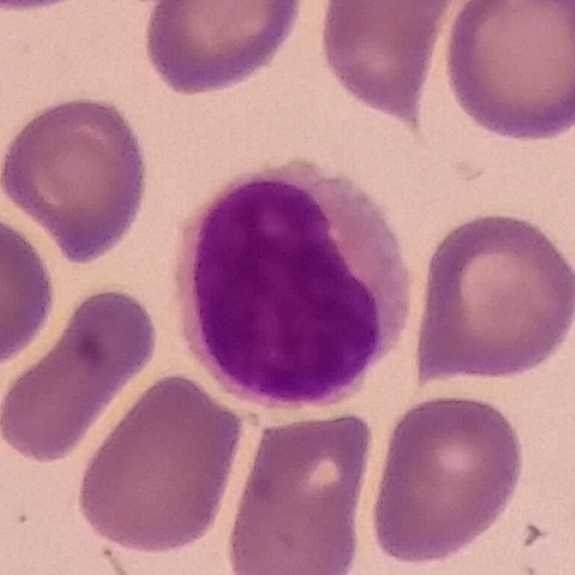Impression — lymphocyte.